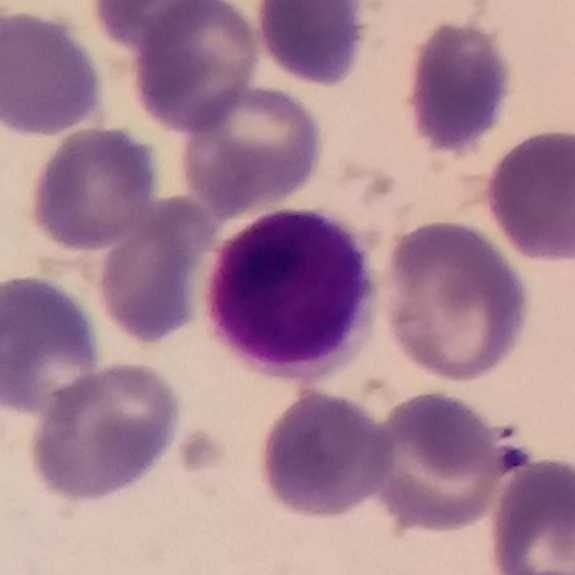Identified as a lymphocyte.
Acquisition: Stained with Giemsa · photographed through a light microscope with a smartphone camera · peripheral blood smear.